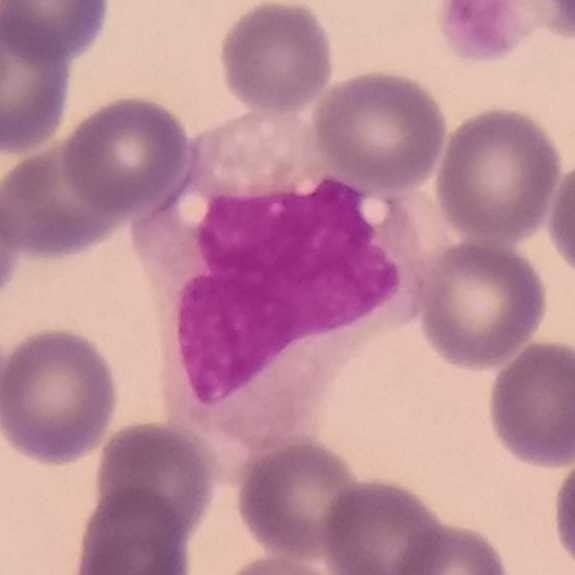 Showing a monocyte.
Context: Peripheral blood film · imaged at 100×.